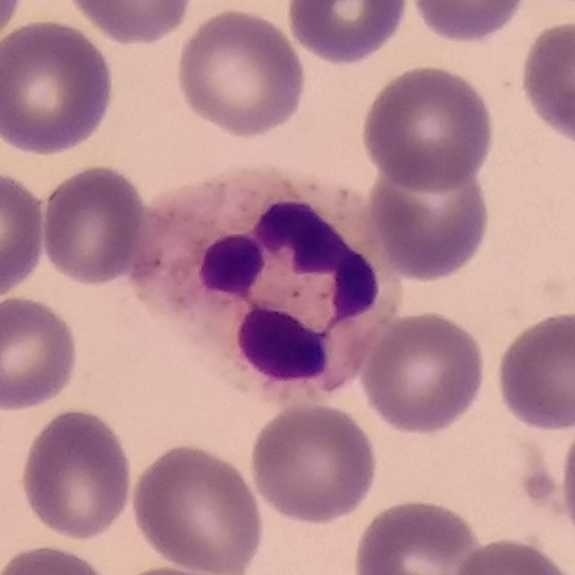
Image: Peripheral blood smear. Neutrophilic granulocyte.